Phone-camera image taken through the microscope ocular; peripheral blood film.
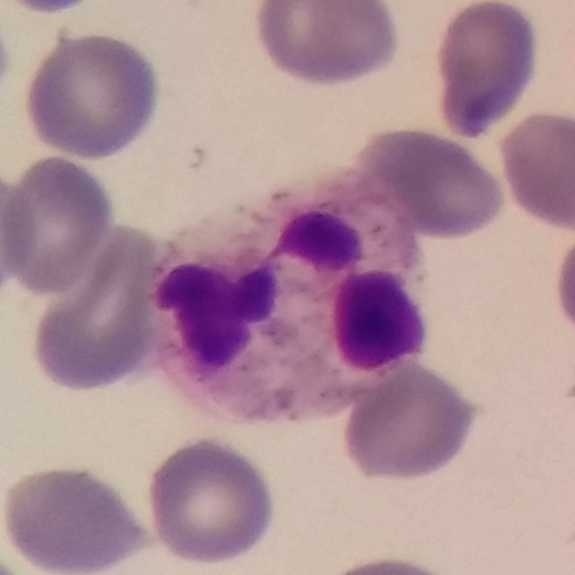 Specimen: peripheral blood smear.
White blood cell type: neutrophil.